Imaged at 100×. Peripheral blood smear. Smartphone photomicrograph
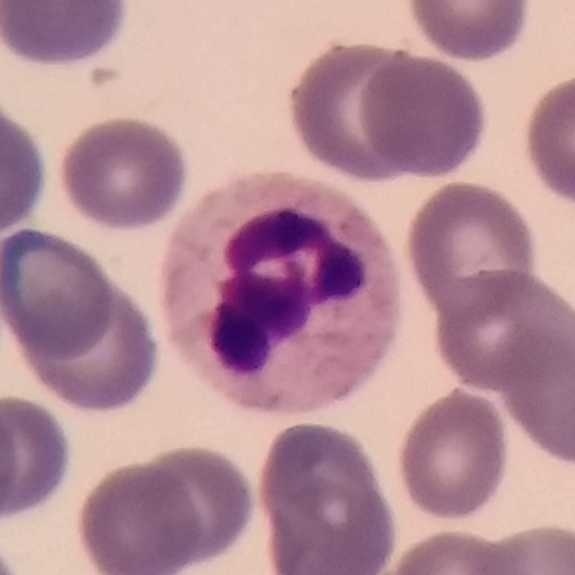

{"cell_type": "neutrophilic granulocyte"}